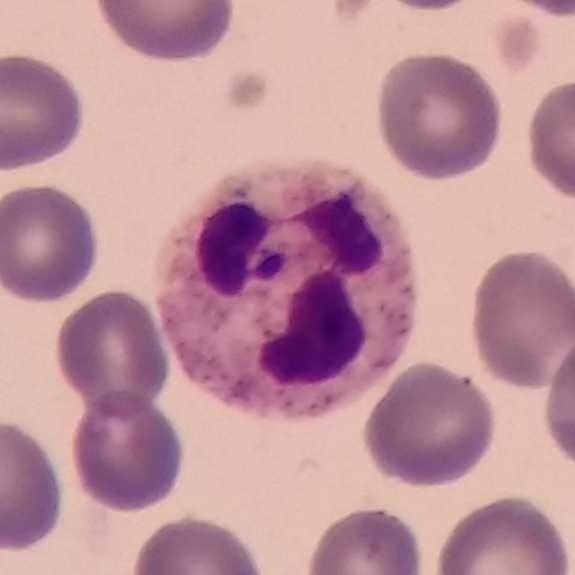Q: Classify this leukocyte.
A: A neutrophil granulocyte.